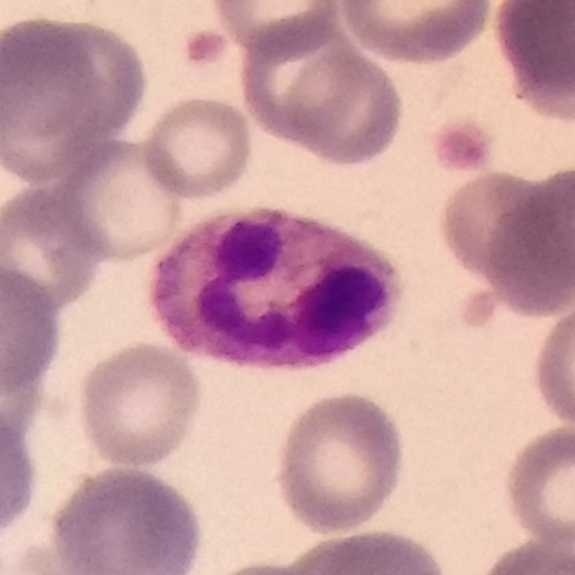

Peripheral blood smear.
The cell shown is a neutrophilic granulocyte.